Peripheral blood film. Smartphone photomicrograph.
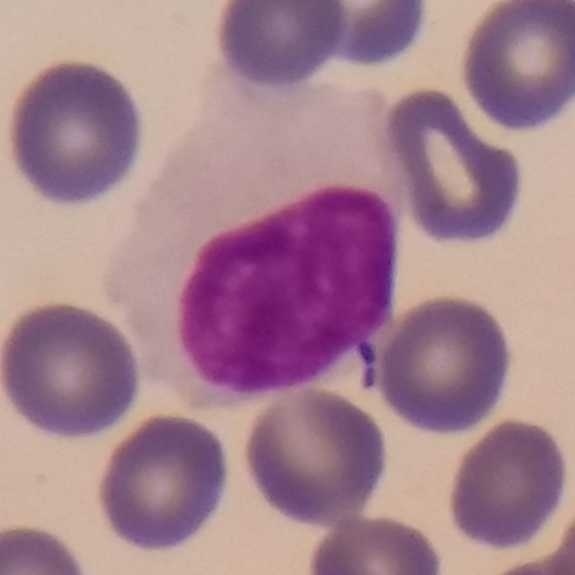
The white blood cell in this image is a lymphocyte.